Single-cell field. Peripheral blood smear. Magnification 100×
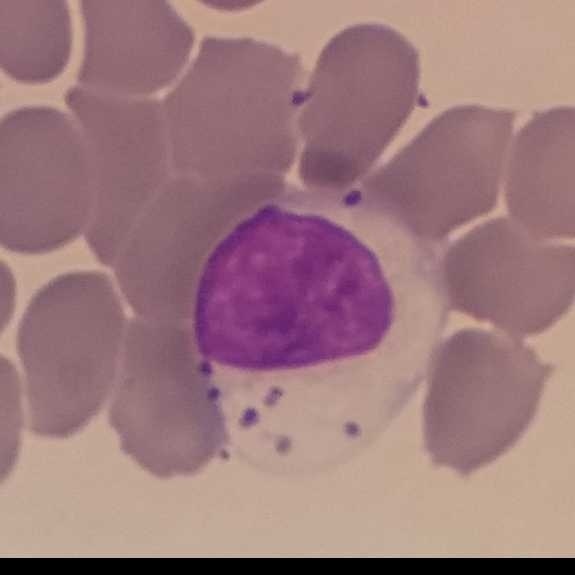 Classification = lymphocyte.